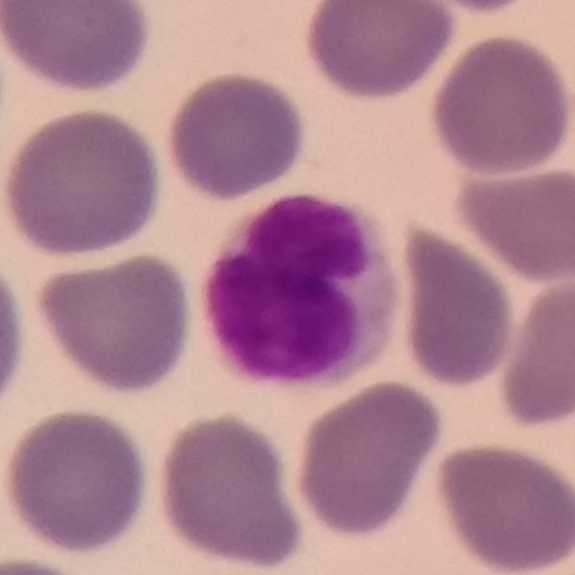Q: What is the morphological classification of this cell?
A: Lymphocyte.
Acquisition: Peripheral blood film; phone-camera image taken through the microscope ocular.